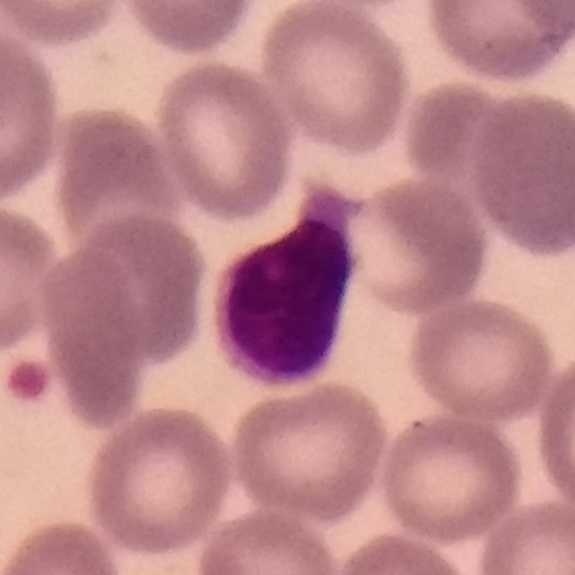
Lymphocyte. Image size 575×575 · peripheral blood film.